Peripheral blood film
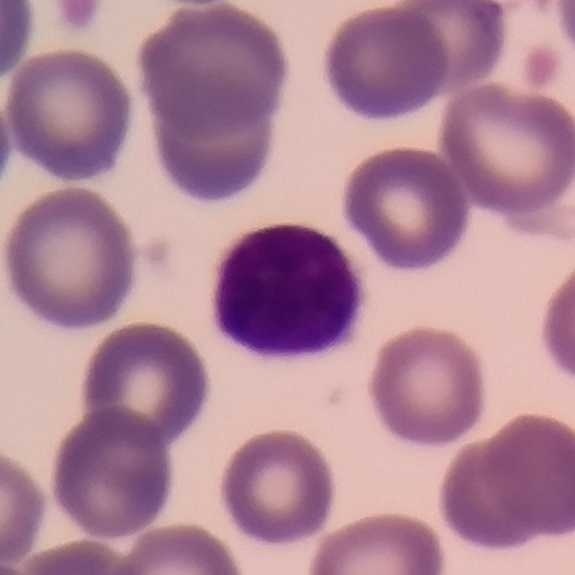

Showing a lymphocyte.